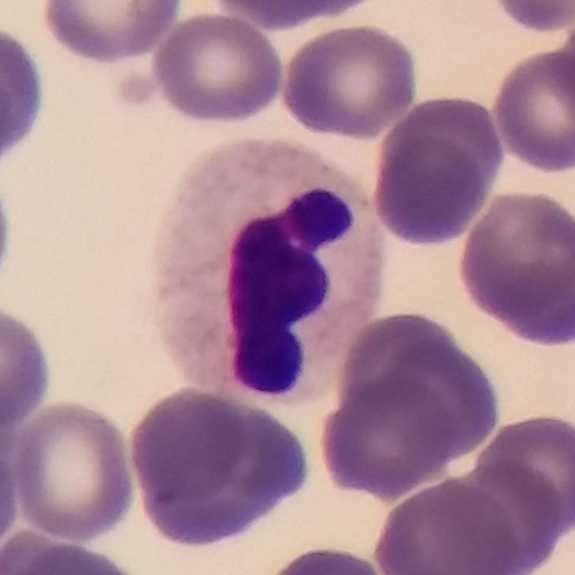

Q: Classify this leukocyte.
A: Neutrophil granulocyte. Image: Peripheral blood film.